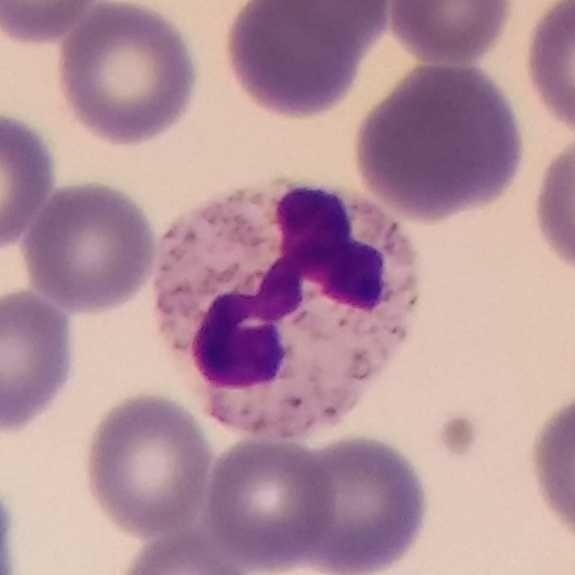

Peripheral blood smear. A neutrophil granulocyte.